Peripheral blood film · imaged at 100×
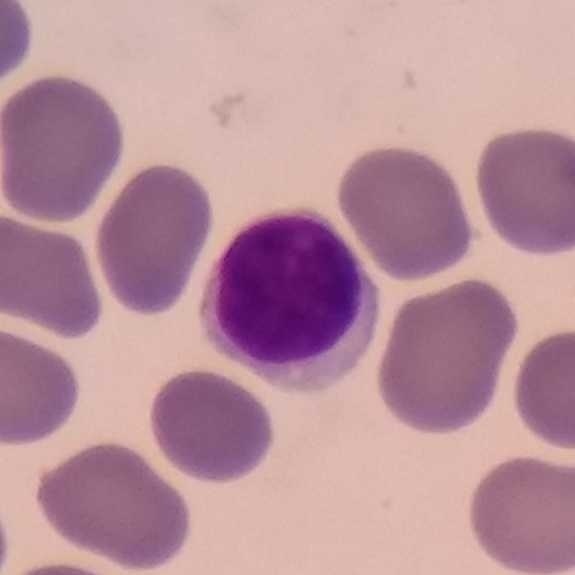Cell: lymphocyte.